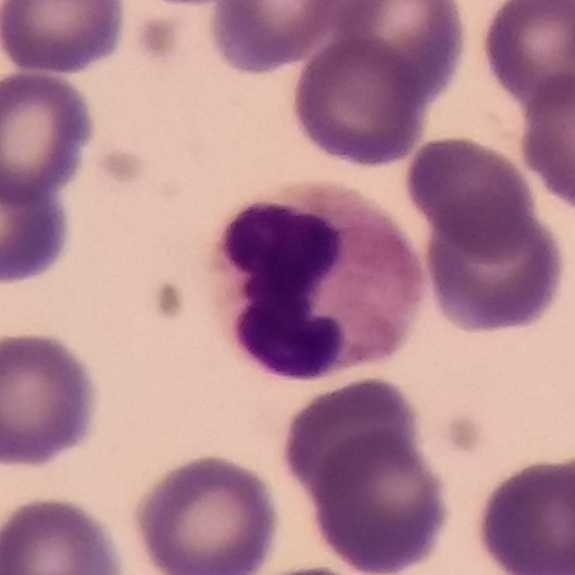 From a peripheral blood smear: a neutrophil.